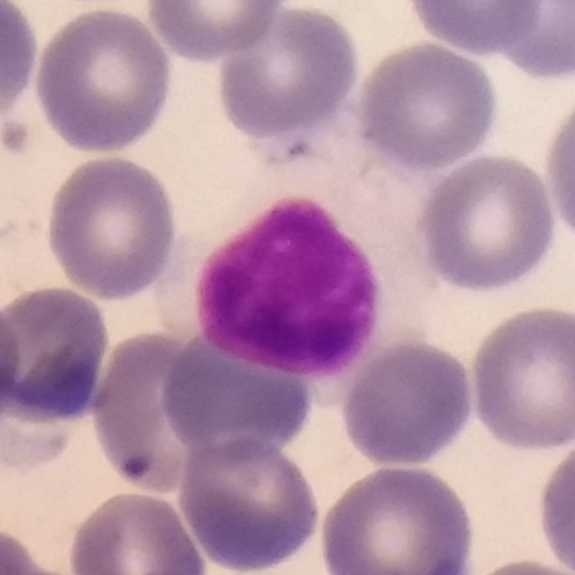

Impression — lymphocyte.